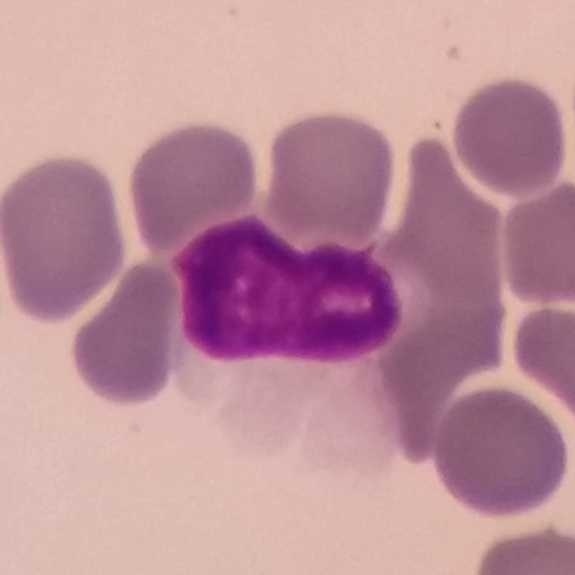 Morphology — lymphocyte. Image: Peripheral blood film.